Peripheral blood smear: 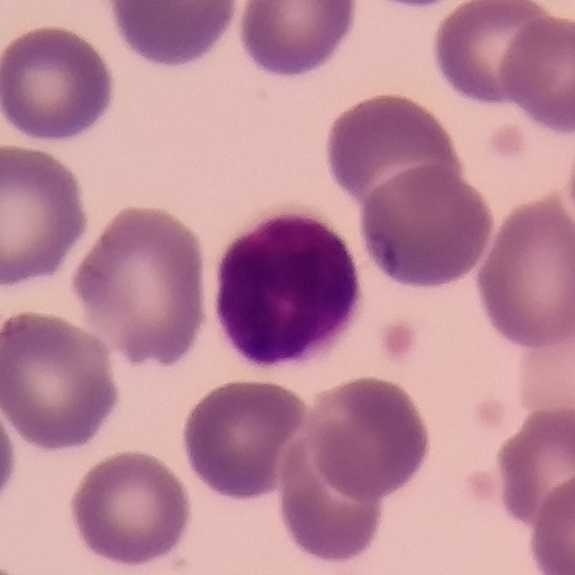

Impression — lymphocyte.